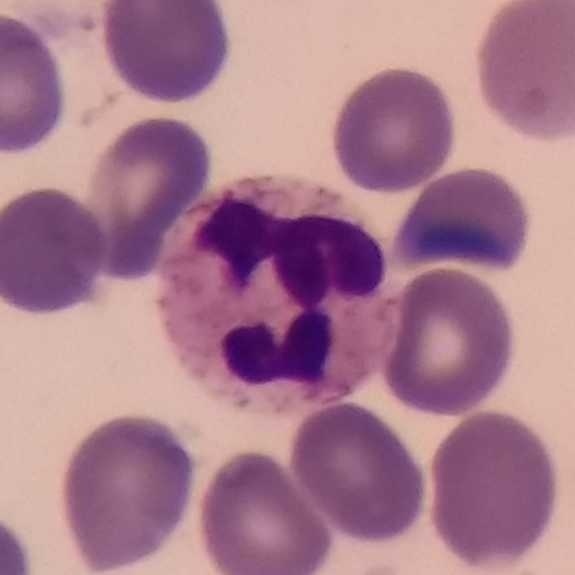 Q: What is the morphological classification of this cell?
A: This is a neutrophil granulocyte.